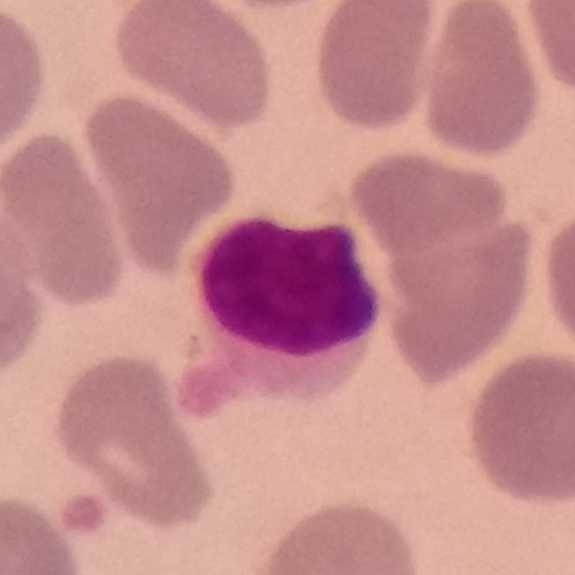Q: What is the morphological classification of this cell?
A: It is a lymphocyte.
Smartphone photomicrograph · peripheral blood smear · 575×575.